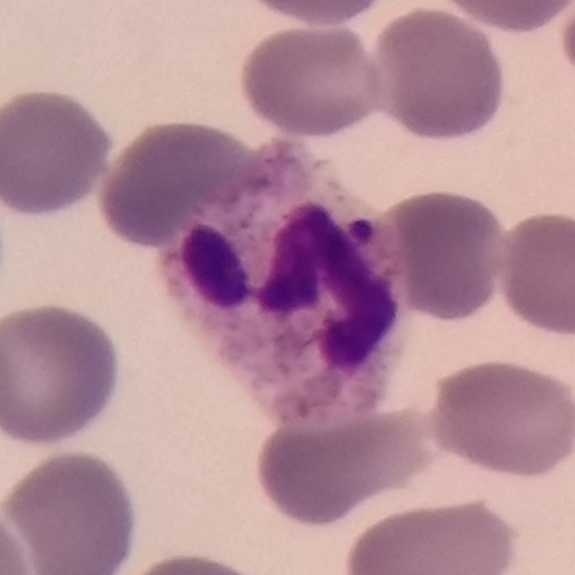
Image: Peripheral blood film. Giemsa stain. 575×575 px. Morphology consistent with a neutrophil.